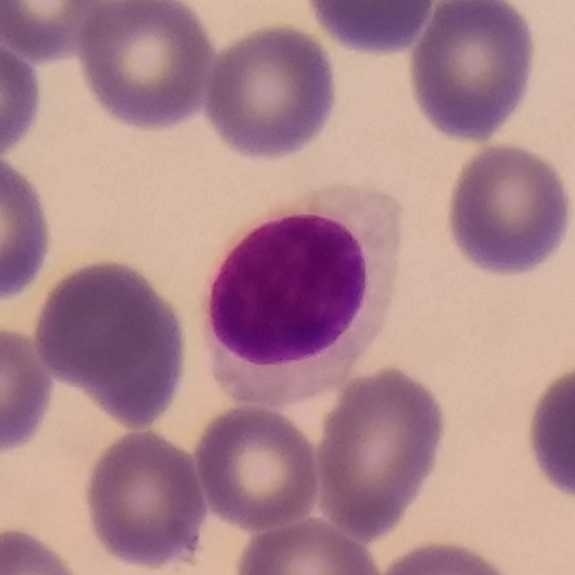

Cell type: lymphocyte.